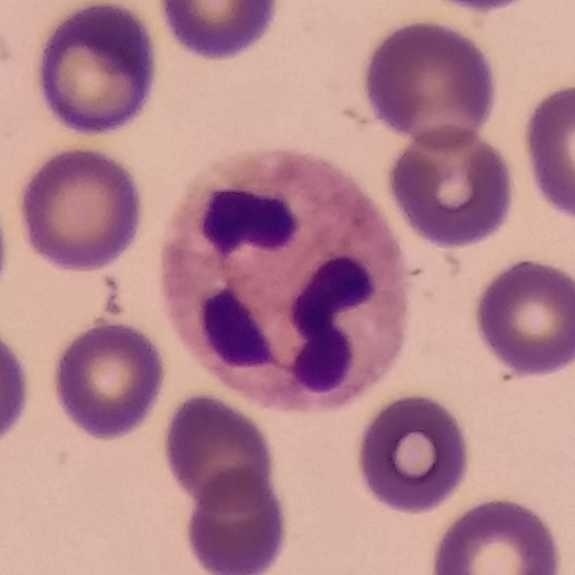

Context: Peripheral blood smear. Image size 575×575.
White blood cell type — neutrophil.